Single white blood cell cropped from the smear photograph. Peripheral blood film
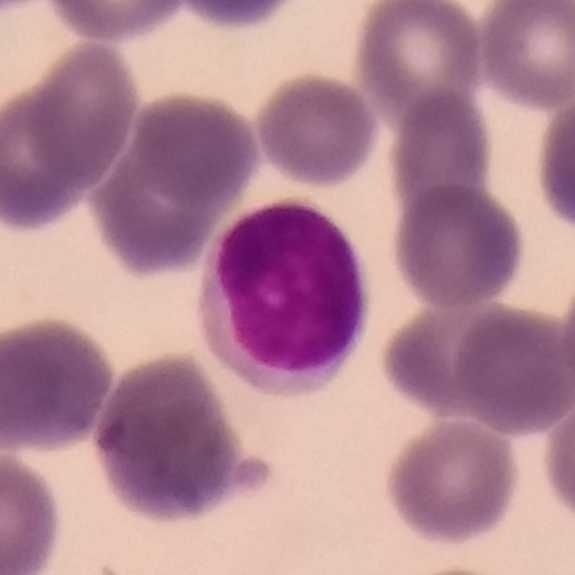
{"cell_type": "lymphocyte", "lineage": "lymphoid"}